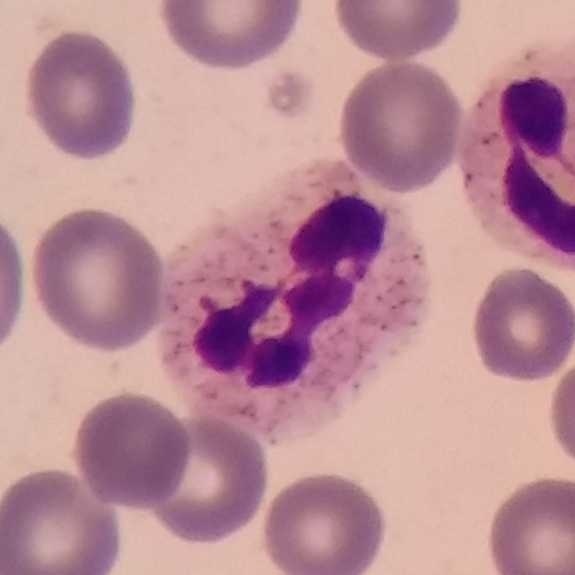
Acquisition: Magnification 100×; image size 575×575; peripheral blood film. Cell type: neutrophilic granulocyte.